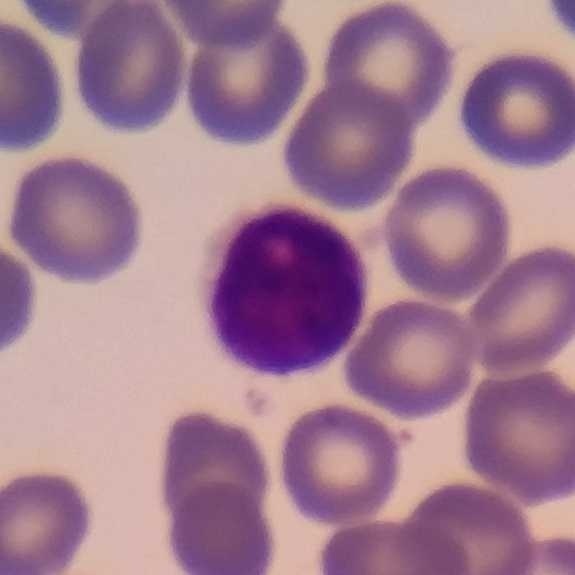

This is a lymphocyte. Context: Peripheral blood film.